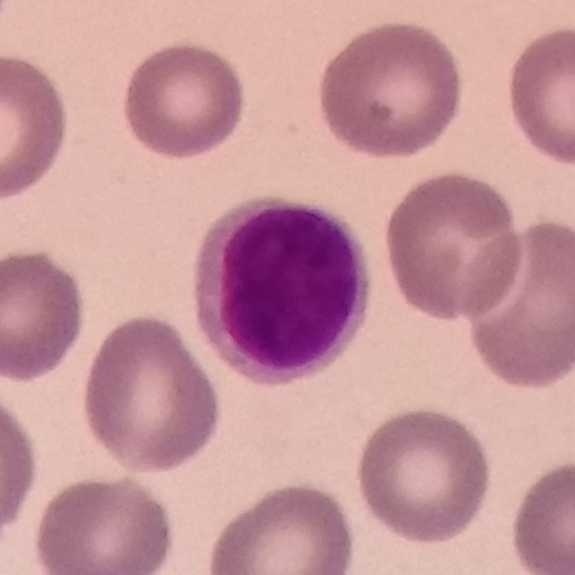Cell — lymphocyte.